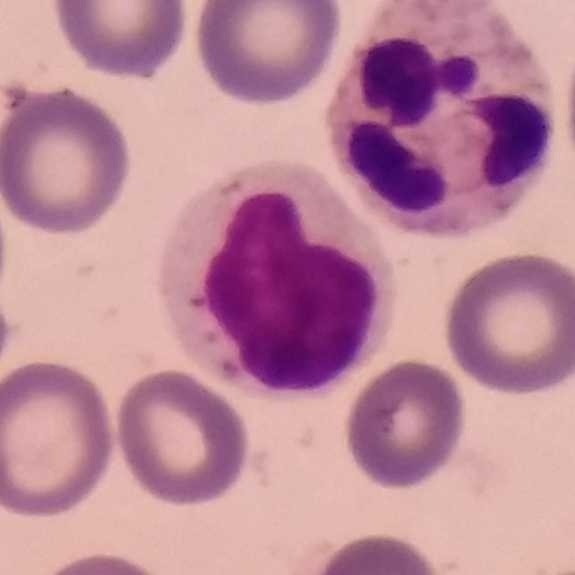 Preparation: Peripheral blood smear; phone-camera image taken through the microscope ocular.

The classification is lymphocyte.